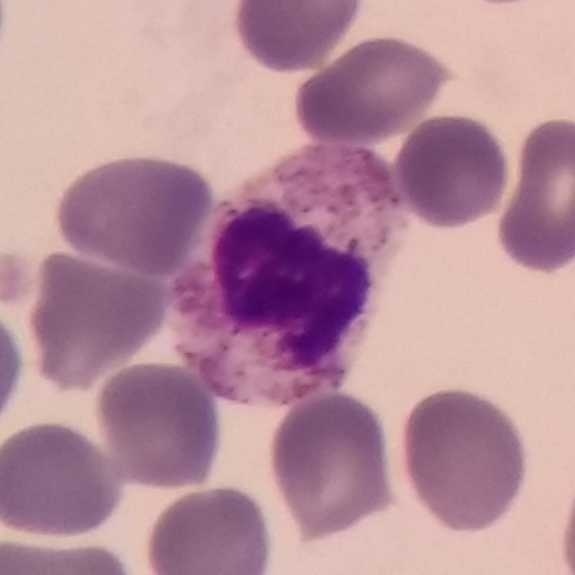
Cell type: neutrophil.

Context: Single white blood cell cropped from the smear photograph. Peripheral blood smear. 575 by 575 pixels.